575 by 575 pixels; peripheral blood film.
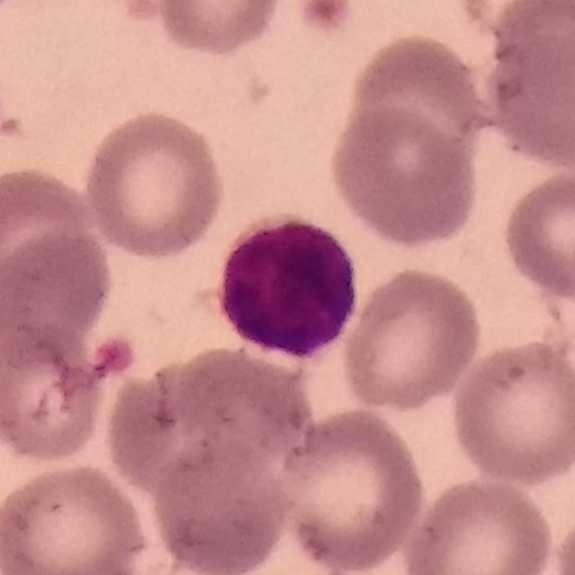
The cell shown is a lymphocyte.